Peripheral blood film — 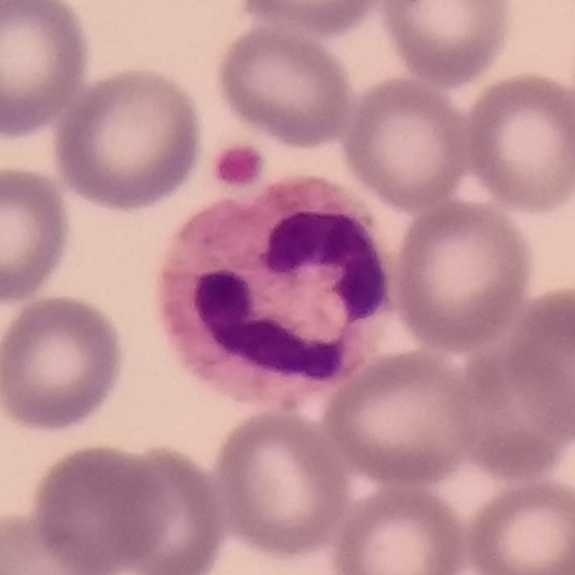
The white blood cell in this image is a neutrophilic granulocyte.